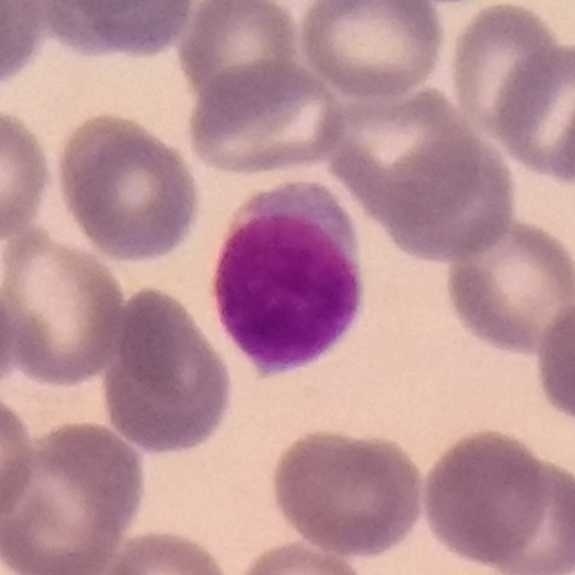

Peripheral blood smear · single-cell crop.

Q: What cell is this?
A: A lymphocyte.